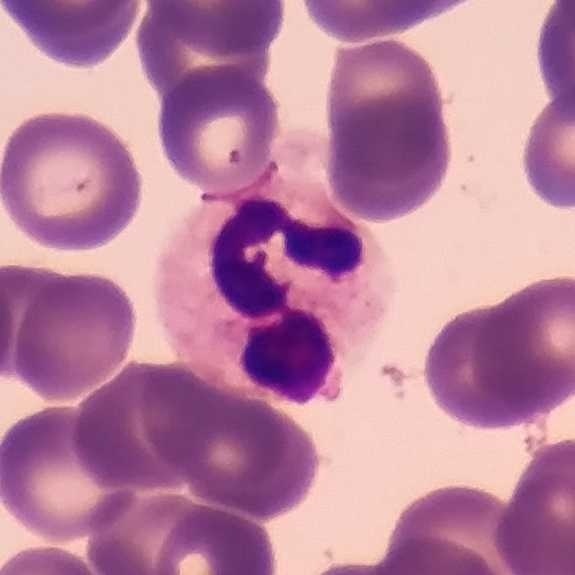Specimen: peripheral blood film.
Classification: neutrophil. Preparation: Giemsa stain.